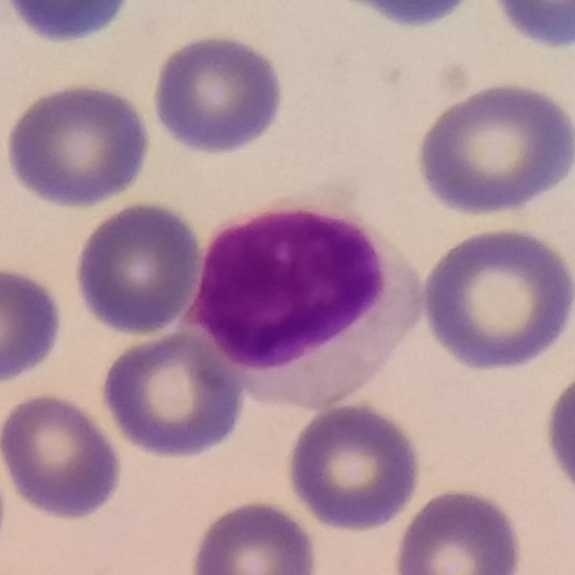Acquisition: Peripheral blood smear.
Morphology — lymphocyte.